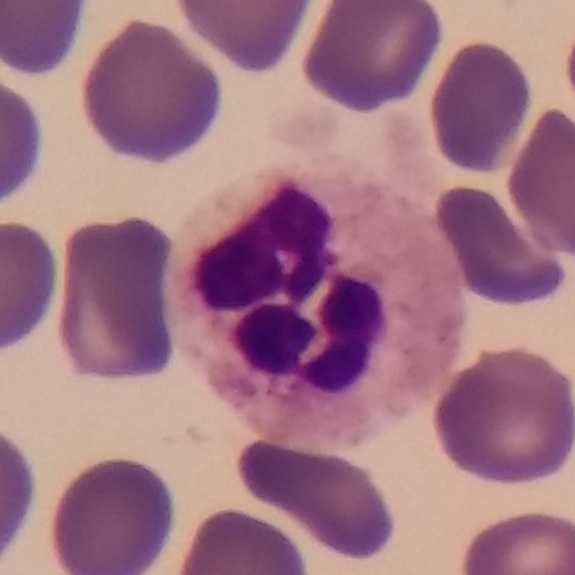 Identified as a neutrophilic granulocyte.
Peripheral blood smear. Single-cell crop.